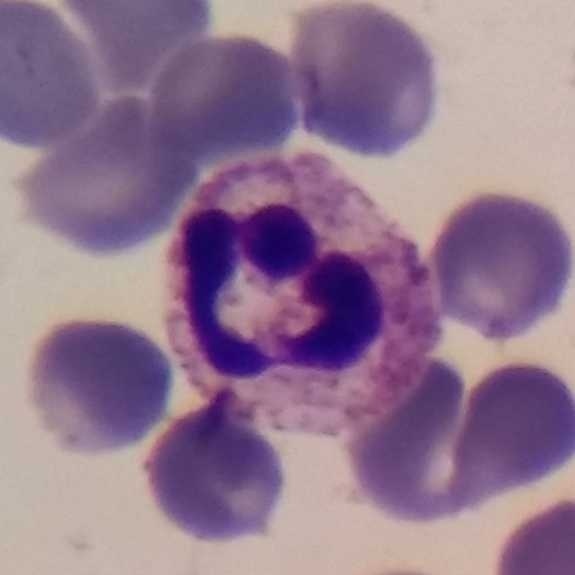 Specimen: peripheral blood film.
Classification: neutrophil granulocyte.

Image: Single-cell field. Phone-camera image taken through the microscope ocular.